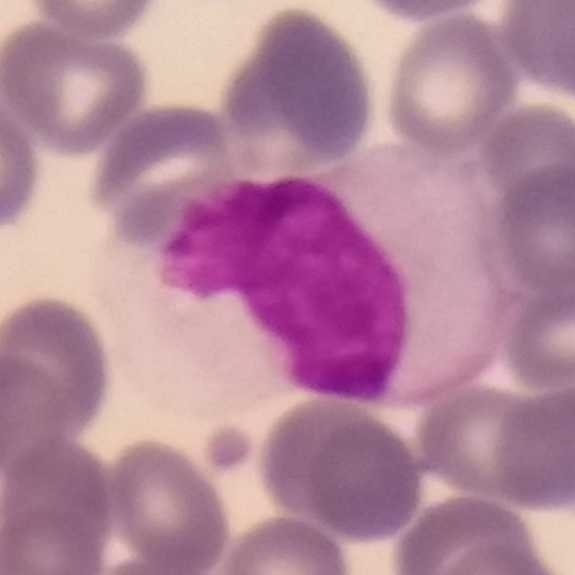

Specimen: peripheral blood smear.
Cell: monocyte.
Lineage: myeloid. Acquisition: Single-cell crop.